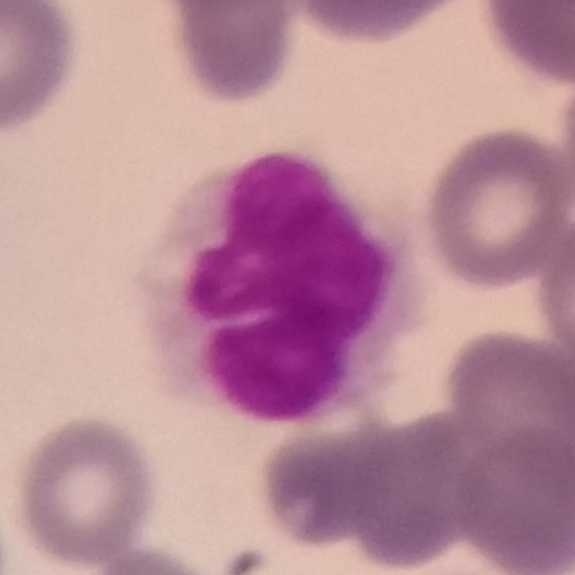 Q: What is this?
A: This is a monocyte. Peripheral blood film; Giemsa stain.